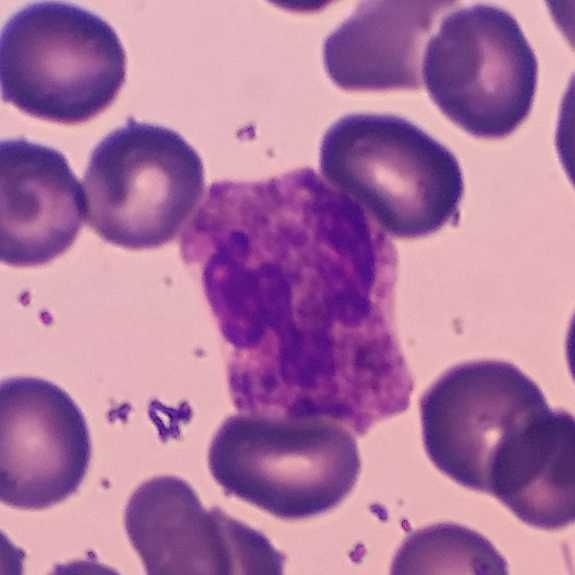

Q: What is this?
A: This is a neutrophil.